575 by 575 pixels. Phone-camera image taken through the microscope ocular. Peripheral blood film:
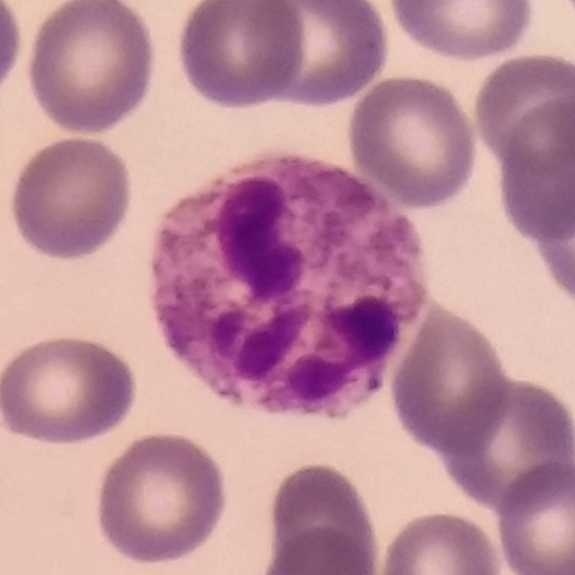Q: Classify this leukocyte.
A: A neutrophil.